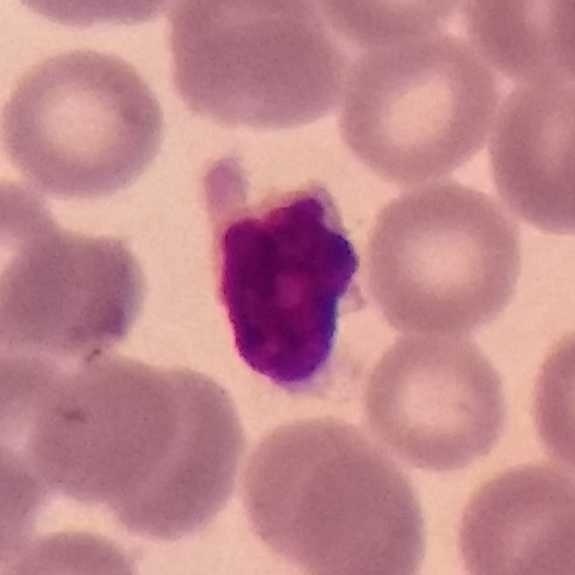

Peripheral blood film, single cell — lymphocyte.